575×575 · peripheral blood smear · single white blood cell cropped from the smear photograph — 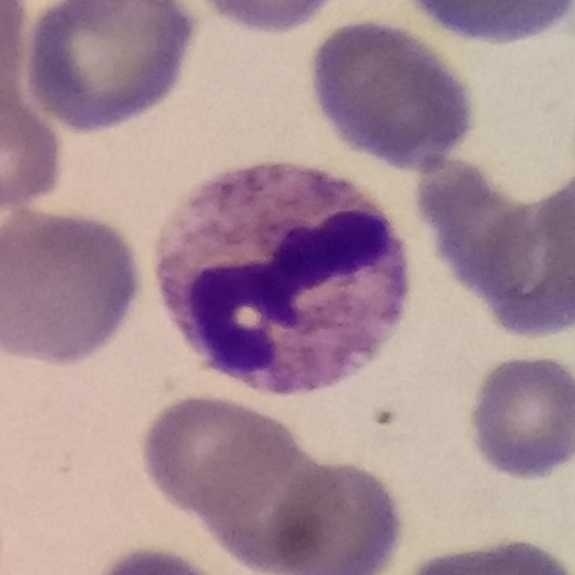

Cell = neutrophil.